Peripheral blood smear:
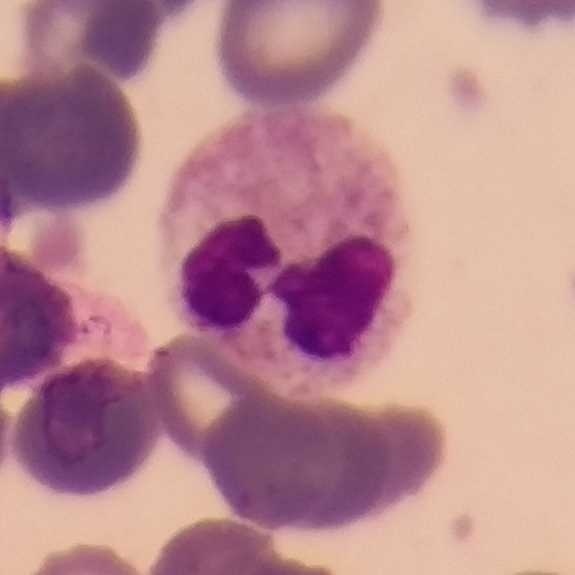

Morphology consistent with a neutrophil.